Phone-camera image taken through the microscope ocular; magnification 100×; peripheral blood film
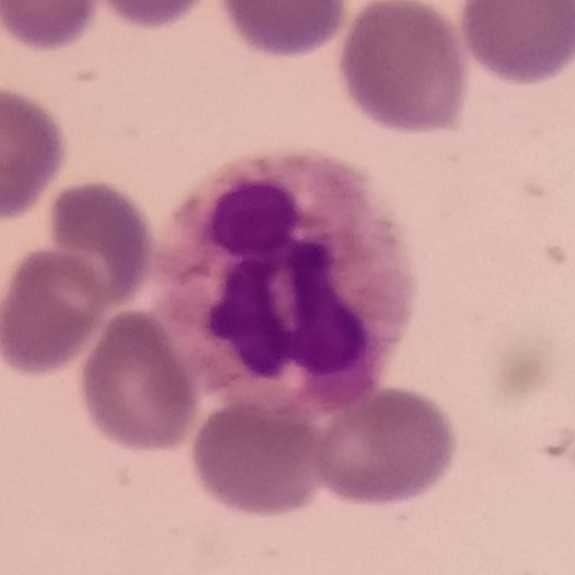Morphological class = neutrophil granulocyte.